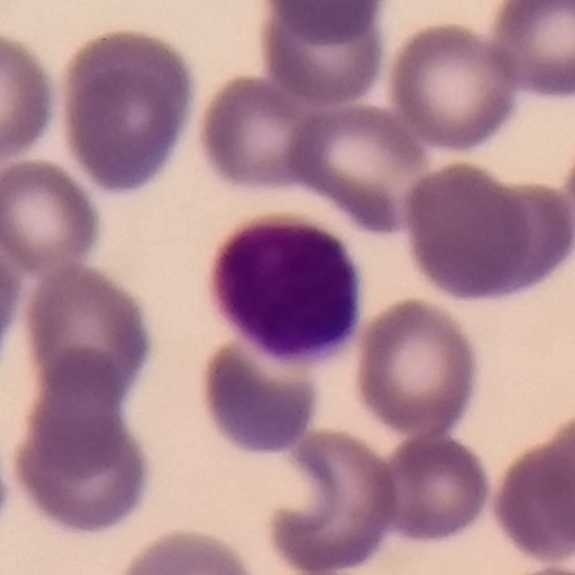 Specimen: peripheral blood smear.
Classification: lymphocyte.
Lineage: lymphoid.